Peripheral blood smear.
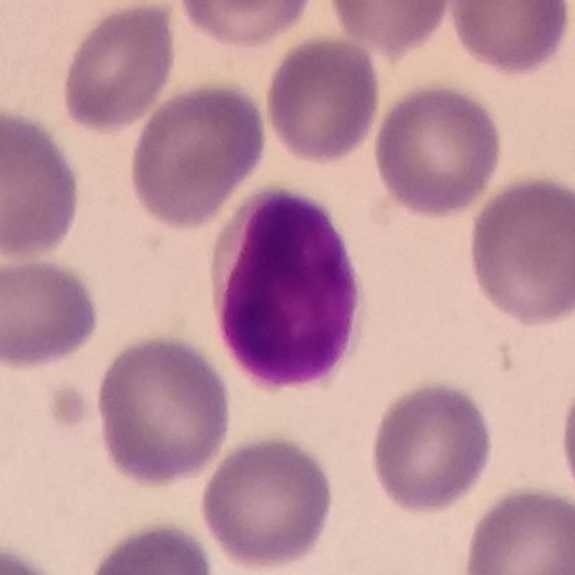 Specimen: peripheral blood smear.
White blood cell type: lymphocyte.
Lineage: lymphoid.